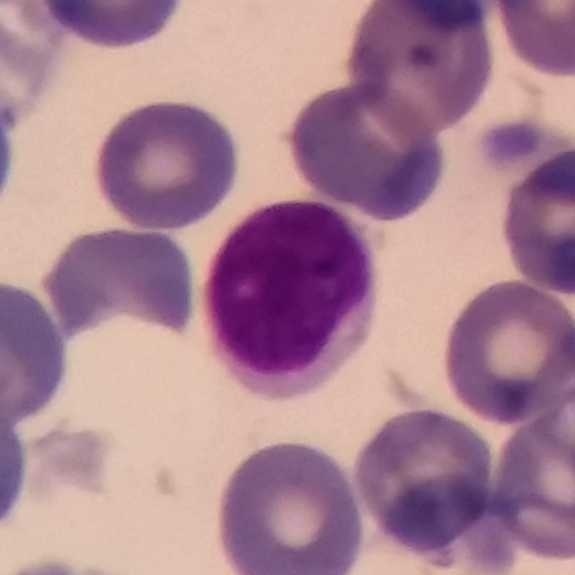
The cell shown is a lymphocyte.
Peripheral blood smear.